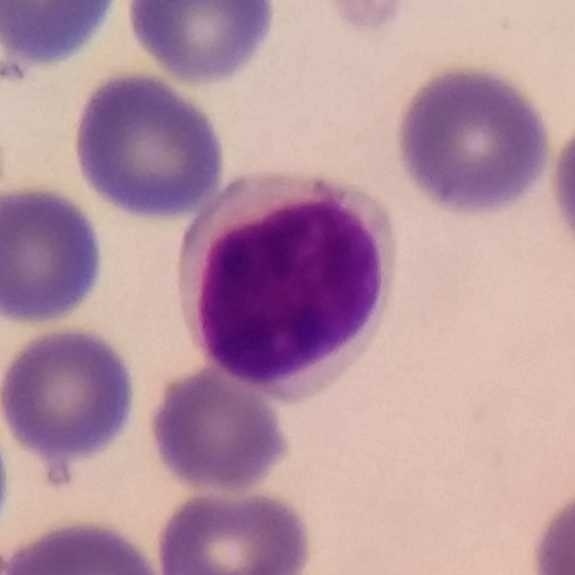 Q: What is this?
A: This is a lymphocyte.
Acquisition: Peripheral blood smear.